Single white blood cell cropped from the smear photograph; peripheral blood film — 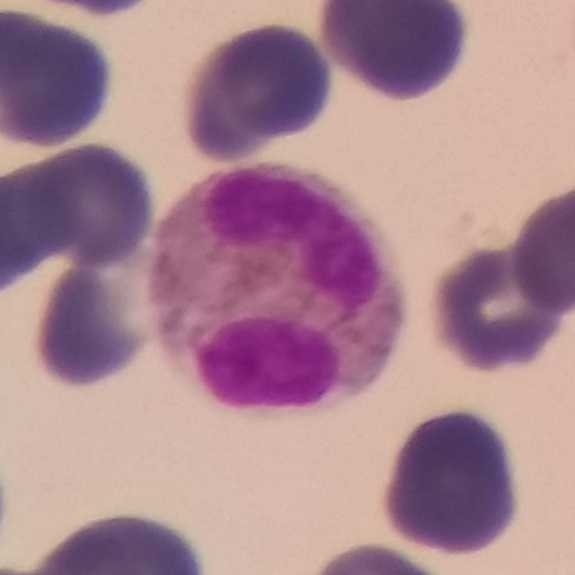 The white blood cell in this image is an eosinophilic granulocyte.